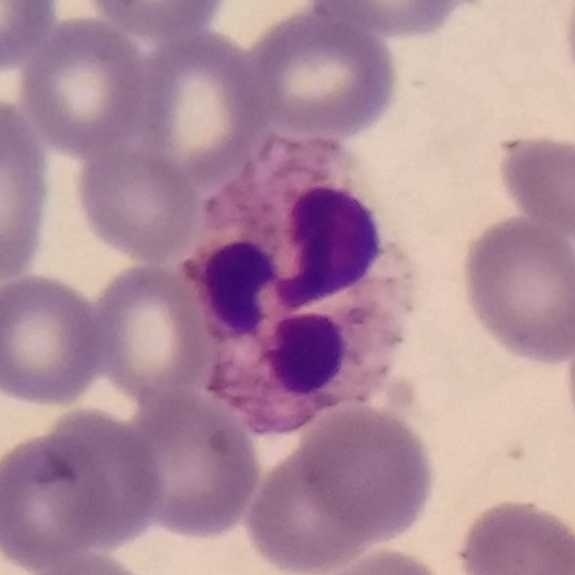Specimen: peripheral blood film.
Morphological class: neutrophilic granulocyte.
Lineage: myeloid.